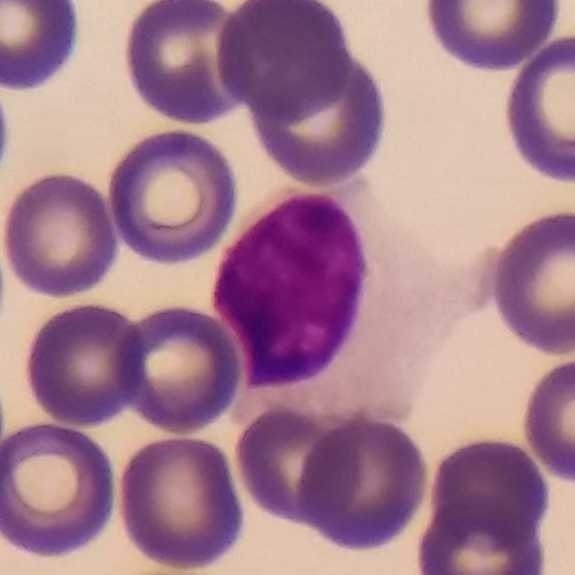 Acquisition: Peripheral blood smear · Giemsa-stained.

Cell = lymphocyte.